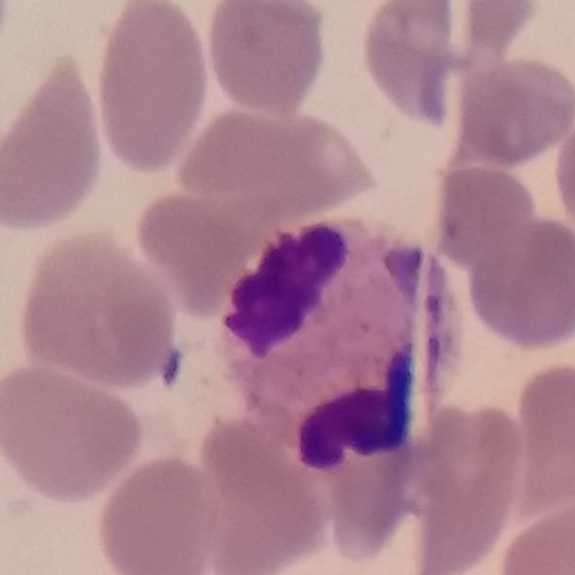 Morphology — neutrophil.

Image: Magnification 100× · peripheral blood film.